Peripheral blood smear; single-cell field; Giemsa stain
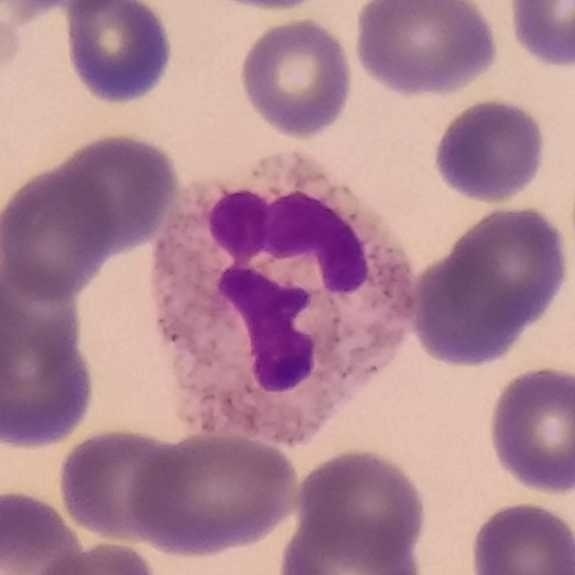 Specimen: peripheral blood film.
White blood cell type: neutrophil.
Lineage: myeloid.